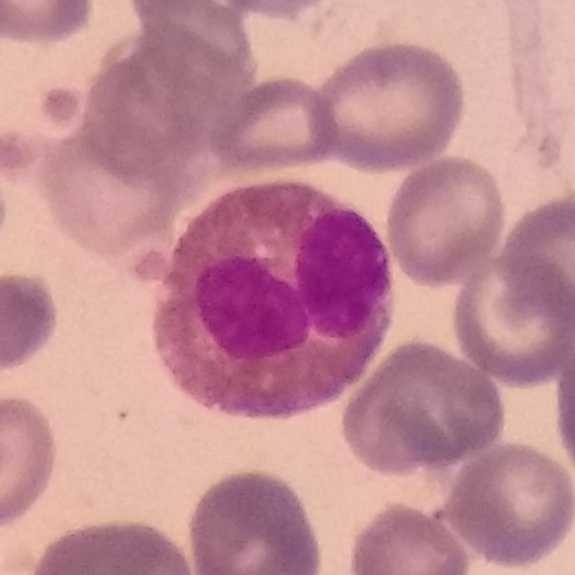 Showing an eosinophil.